Single white blood cell cropped from the smear photograph; peripheral blood film; 575 by 575 pixels:
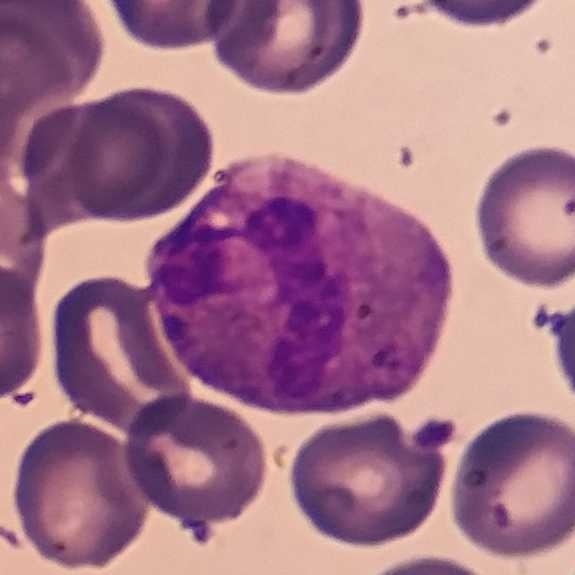
Morphology consistent with a neutrophil.